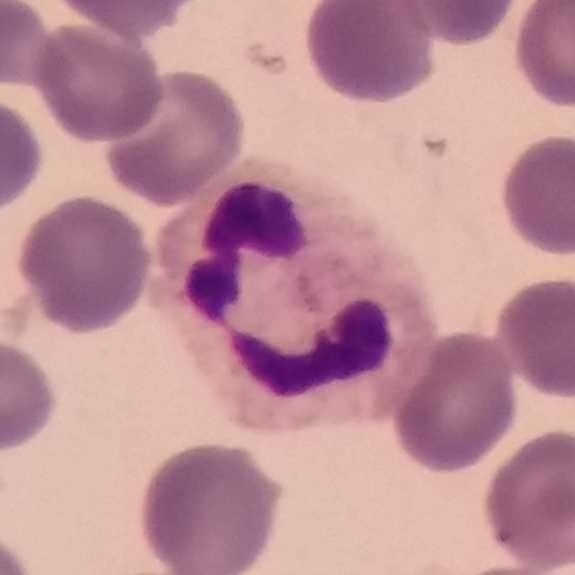
Classification = neutrophilic granulocyte.

Context: Peripheral blood film.